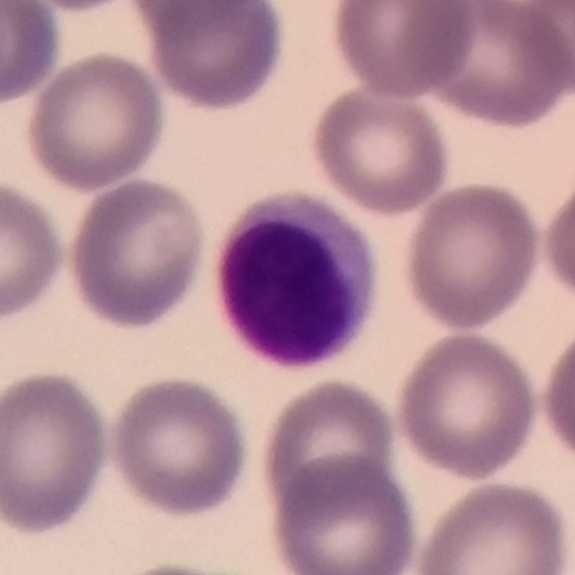

Specimen: peripheral blood smear.
Classification: lymphocyte.